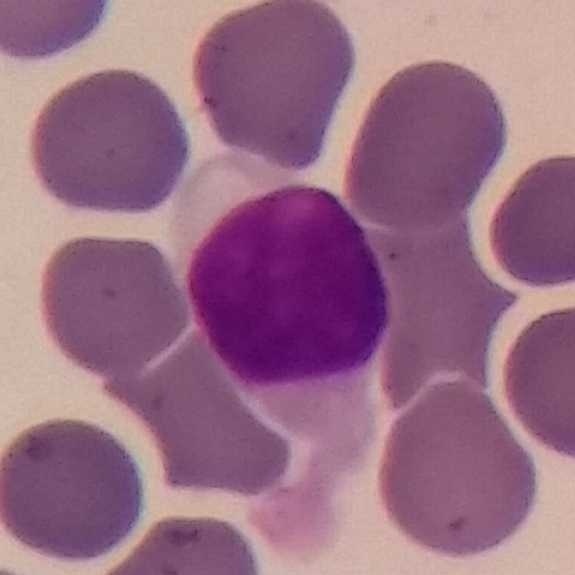
Morphology consistent with a lymphocyte. Single-cell crop. Peripheral blood film.